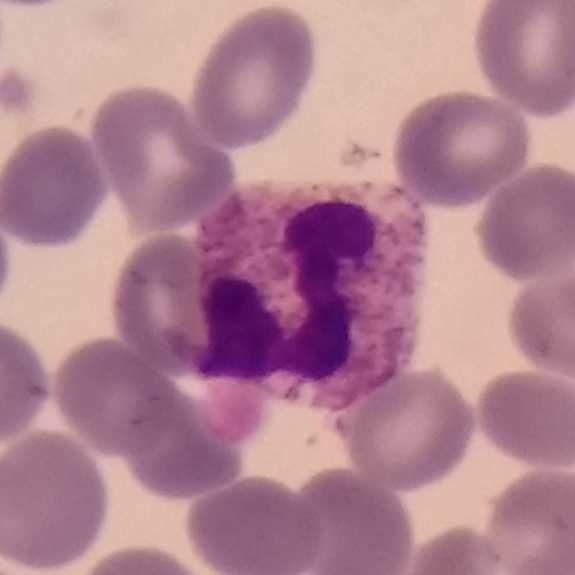Neutrophilic granulocyte.